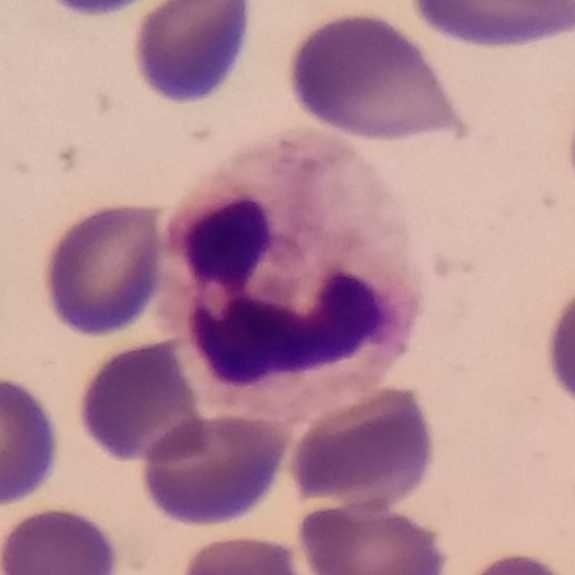

Cell — neutrophil.
Peripheral blood smear. 100× magnification.